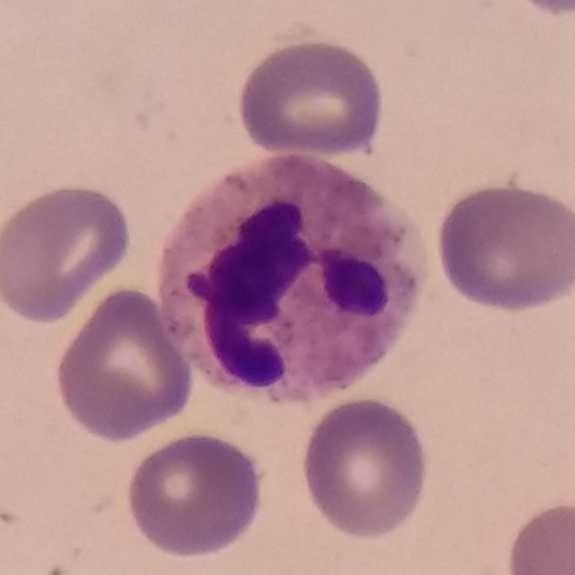 Classification = neutrophil granulocyte.